Peripheral blood film · 575×575 — 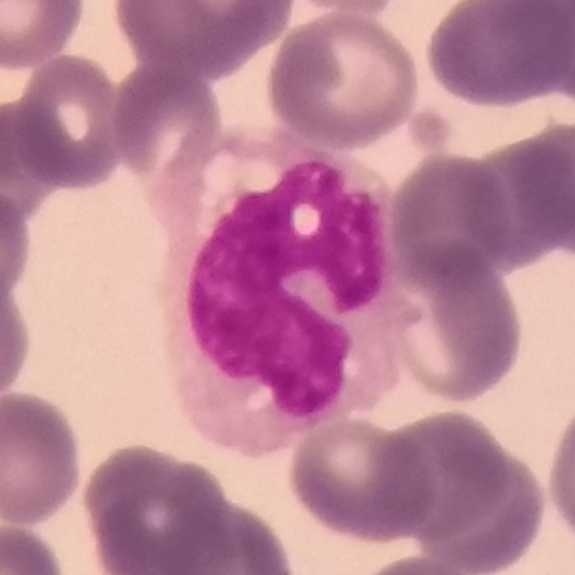Morphology — monocyte.